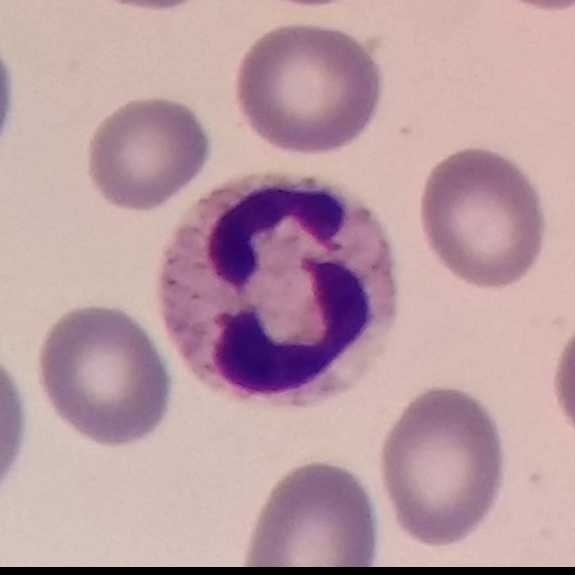

Acquisition: 100× magnification; 575×575 px; peripheral blood smear. Showing a neutrophil granulocyte.